Stained with Giemsa. Peripheral blood film. Smartphone photomicrograph: 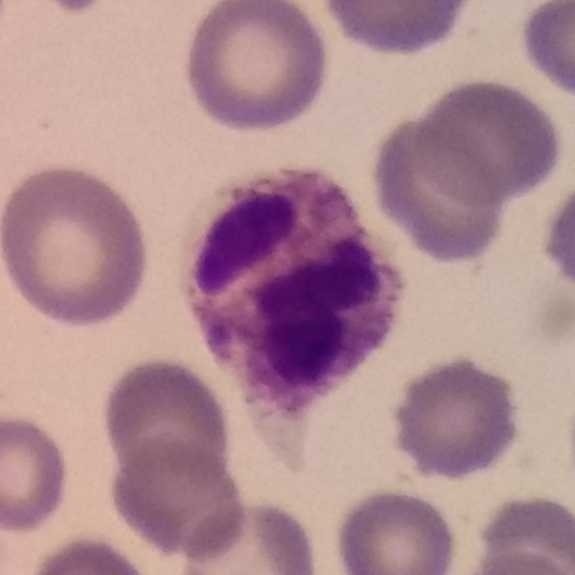 White blood cell type — neutrophil.